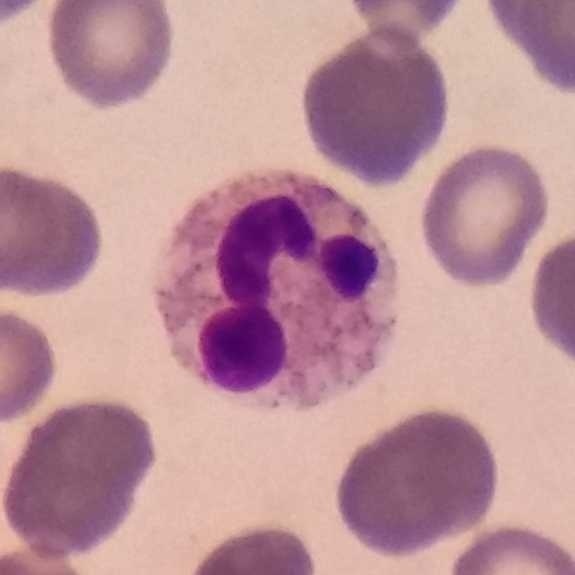

A neutrophilic granulocyte.
Context: Peripheral blood smear; phone-camera image taken through the microscope ocular; 575 by 575 pixels.